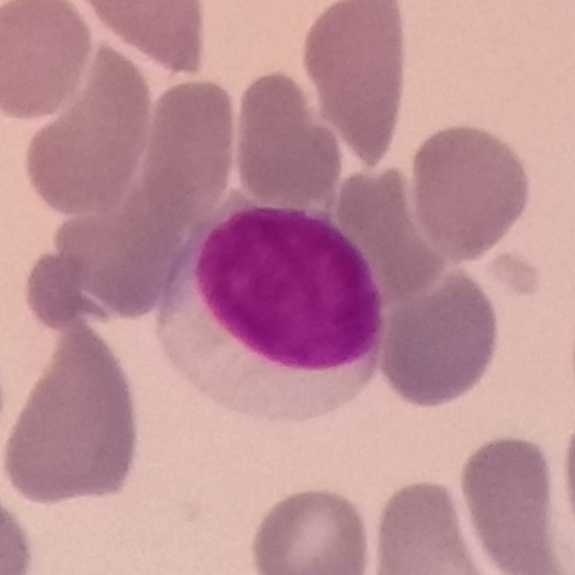 Morphology → lymphocyte.